Peripheral blood film: 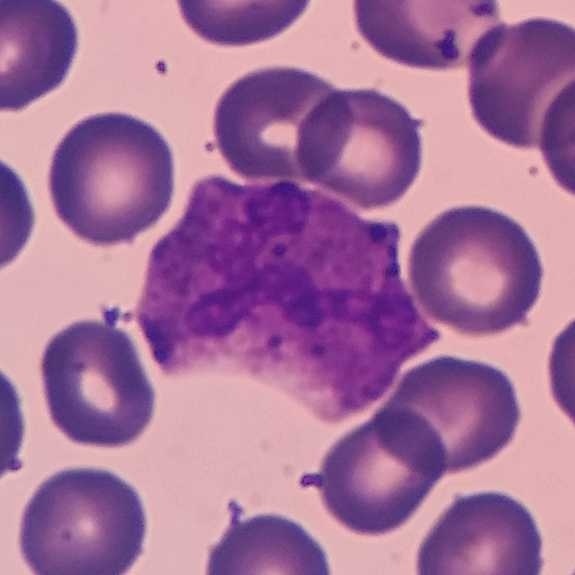Cell type = neutrophilic granulocyte.